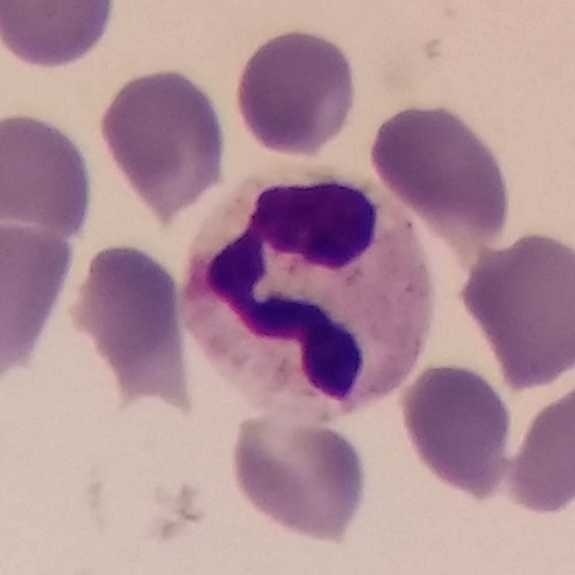 Single-cell crop · peripheral blood film · Giemsa stain.

Showing a neutrophil granulocyte.